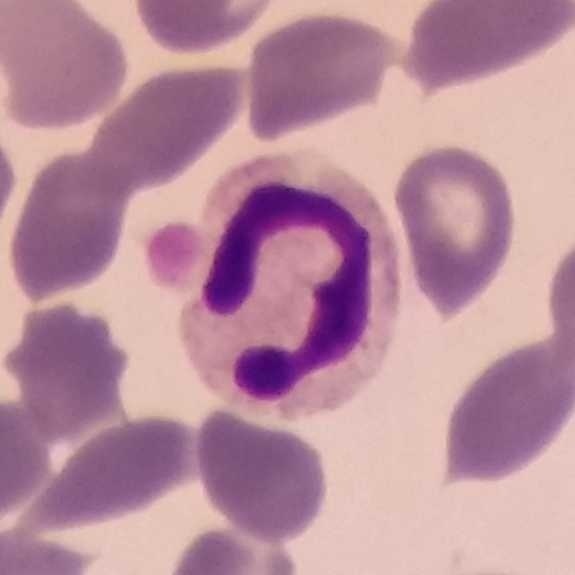 Preparation: Peripheral blood film.
This is a neutrophil granulocyte.